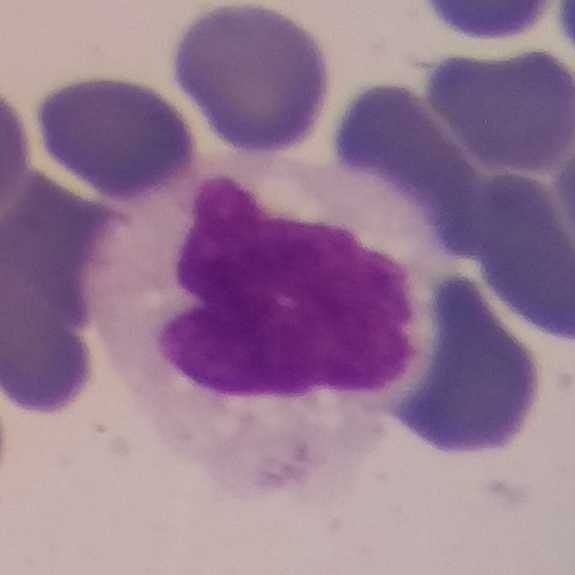
Q: What cell is this?
A: It is a monocyte.